Magnification 100×. Peripheral blood smear.
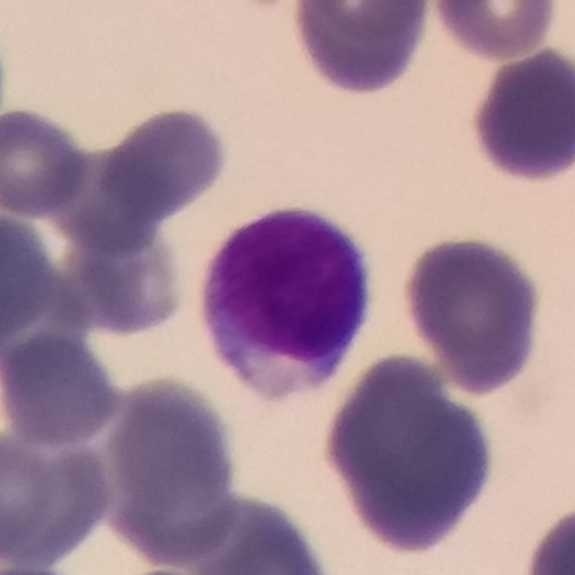{"cell_type": "lymphocyte", "lineage": "lymphoid"}